Single-cell crop · peripheral blood film — 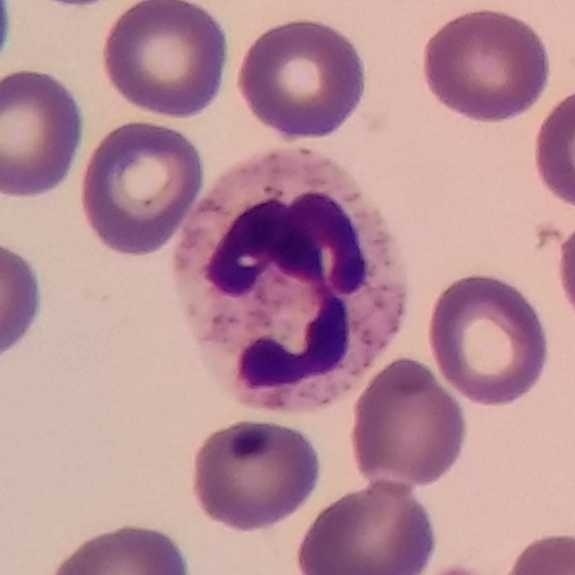
Q: Which type of white blood cell is this?
A: It is a neutrophil.